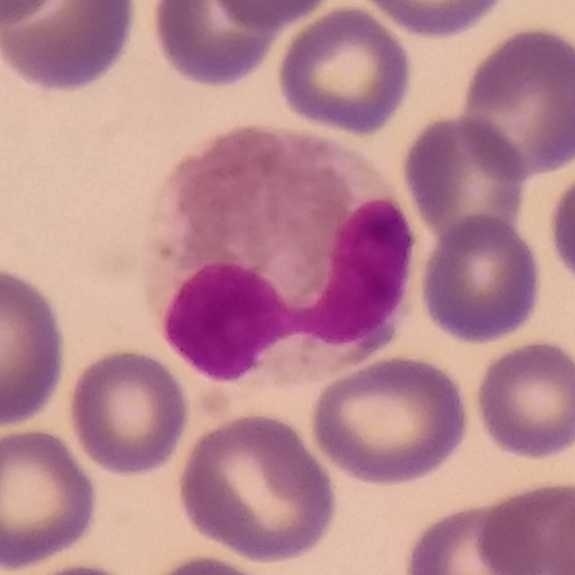

Impression — eosinophil.

Preparation: Peripheral blood film.